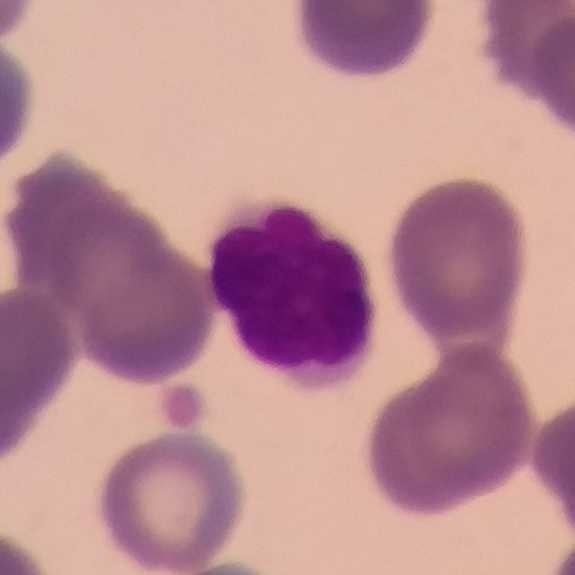The white blood cell in this image is a lymphocyte.